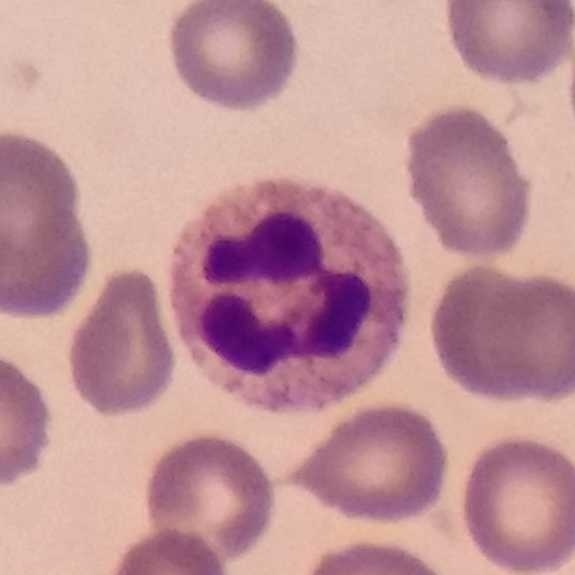Q: Identify the cell.
A: Neutrophil granulocyte.